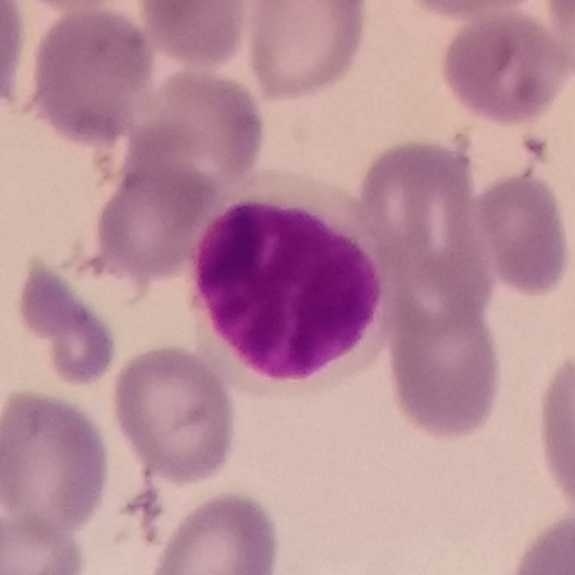

White blood cell type: lymphocyte. Peripheral blood film.